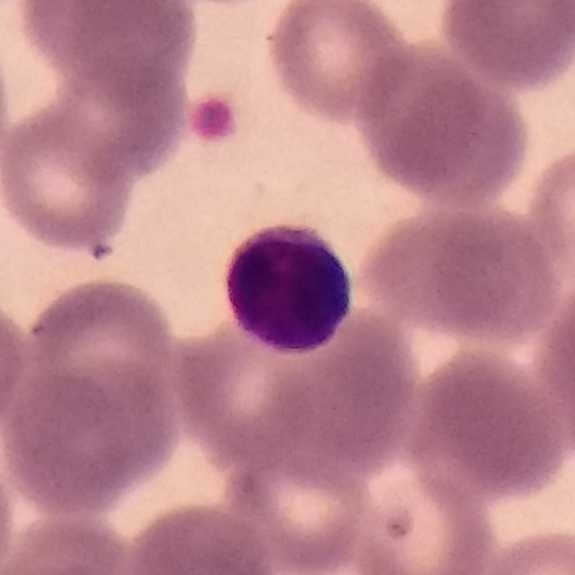
Impression → lymphocyte. Image: Magnification 100×. Peripheral blood smear.